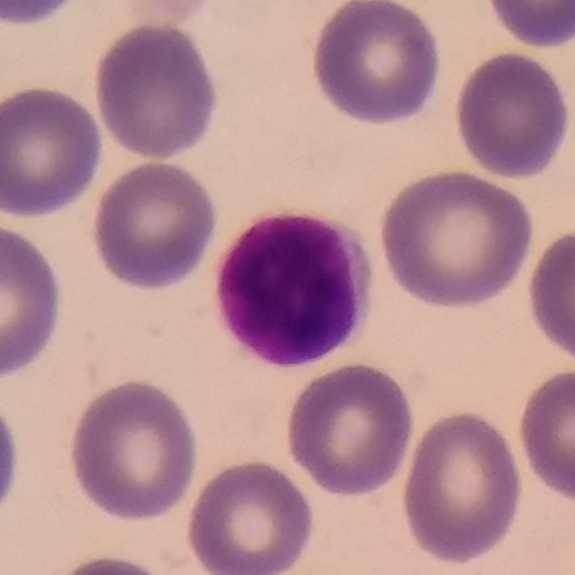 Cell = lymphocyte. Preparation: Peripheral blood film.